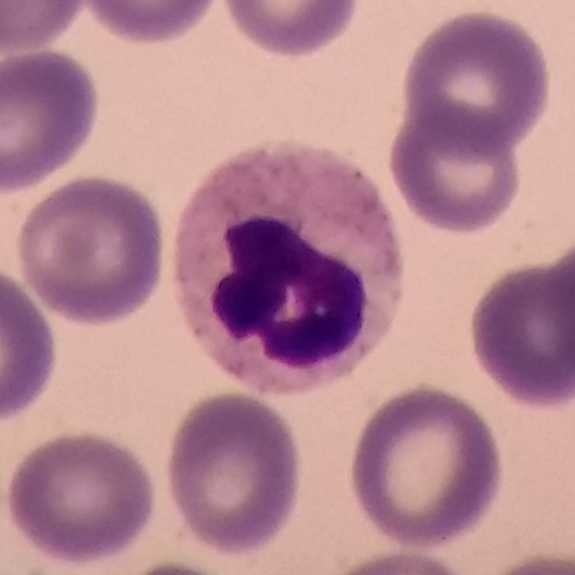

The cell is neutrophil.